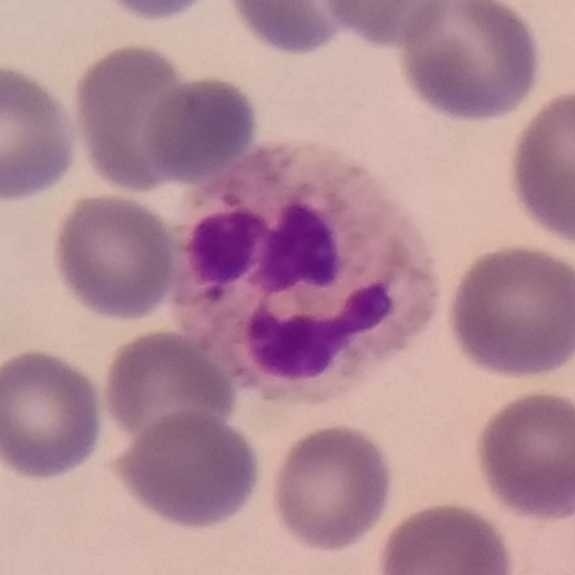 Peripheral blood film, single cell — neutrophilic granulocyte.